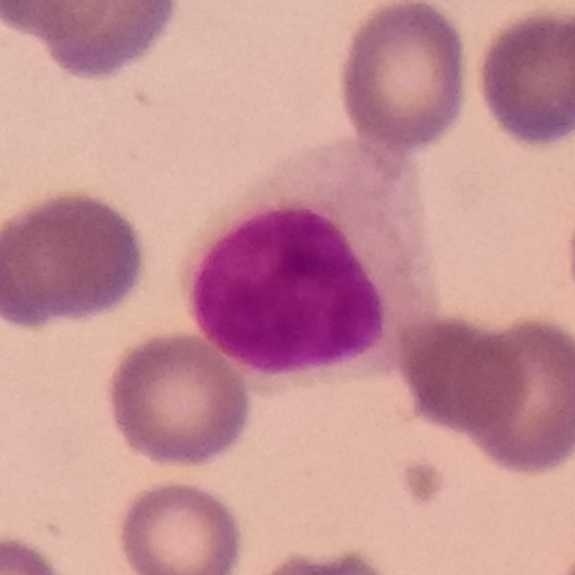 Image: Smartphone camera mounted on the microscope eyepiece · Giemsa stain.

Specimen: peripheral blood smear.
Cell type: lymphocyte.
Lineage: lymphoid.